Peripheral blood smear — 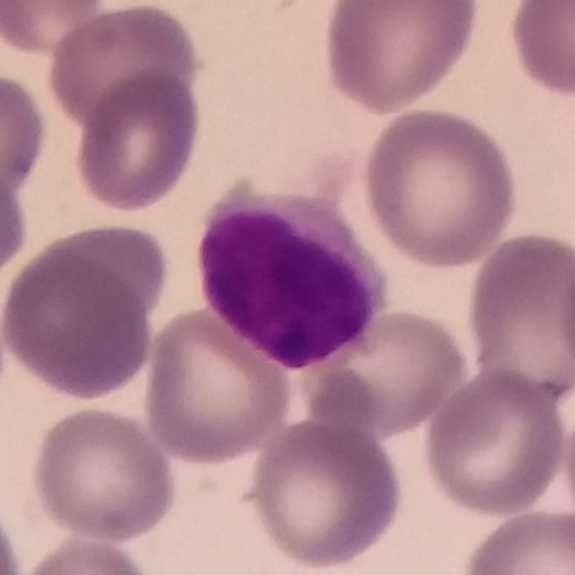
Specimen: peripheral blood film.
Morphological class: lymphocyte.
Lineage: lymphoid.